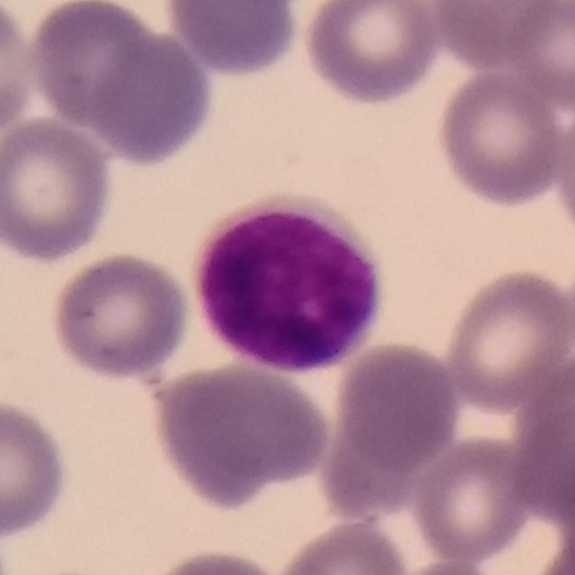 Single cell identified as a lymphocyte.

Context: Peripheral blood smear.